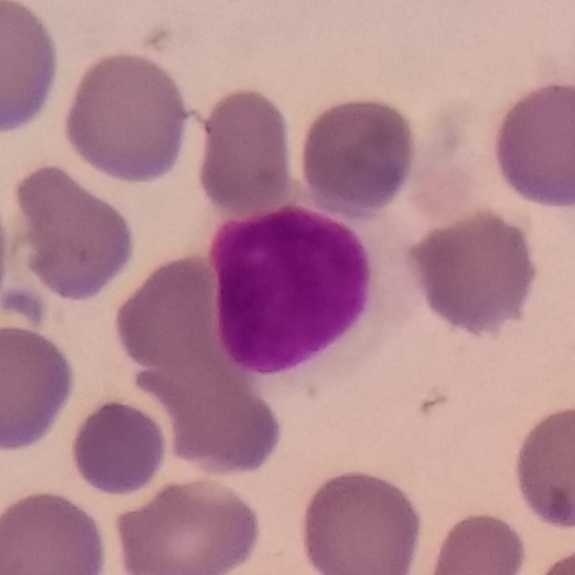
Classification — lymphocyte.